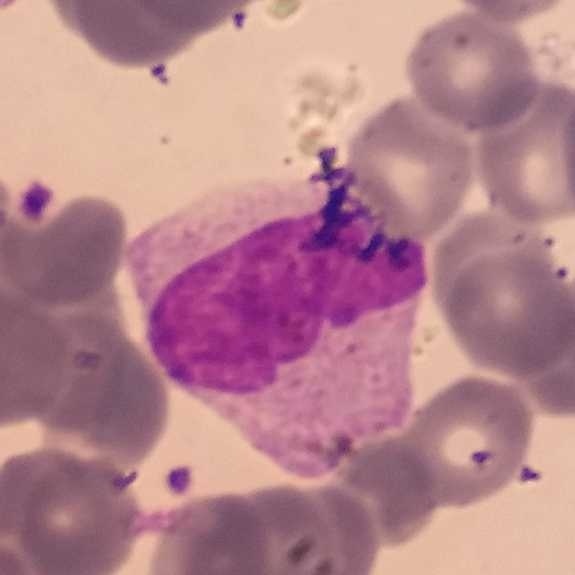Acquisition: Cropped to one leukocyte; peripheral blood smear.

Q: What type of cell is this?
A: This is a monocyte.